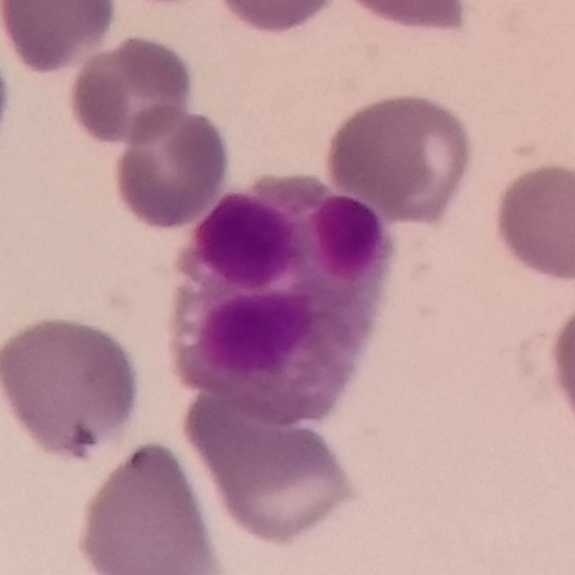
Image: Peripheral blood film. Classification: eosinophil.